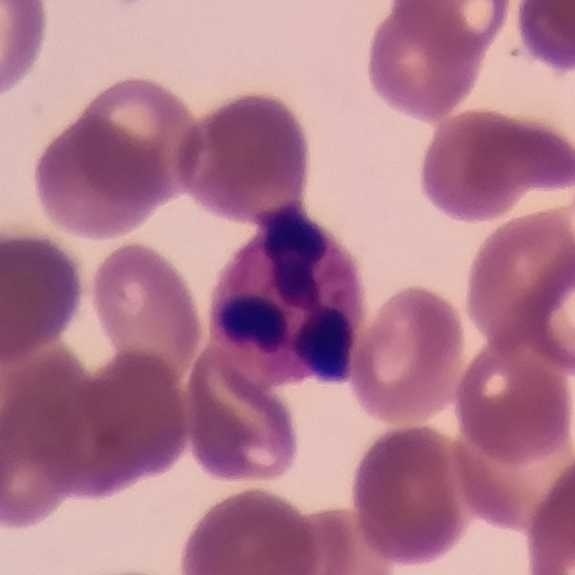100× magnification · peripheral blood film · 575×575 px.
Q: What is shown here?
A: It is a neutrophil granulocyte.